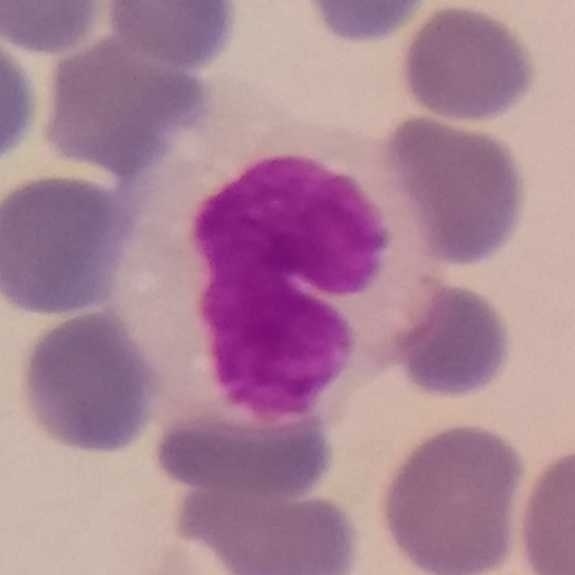
Q: Which cell type is shown here?
A: A monocyte. Context: Imaged at 100× · 575 by 575 pixels · peripheral blood film.